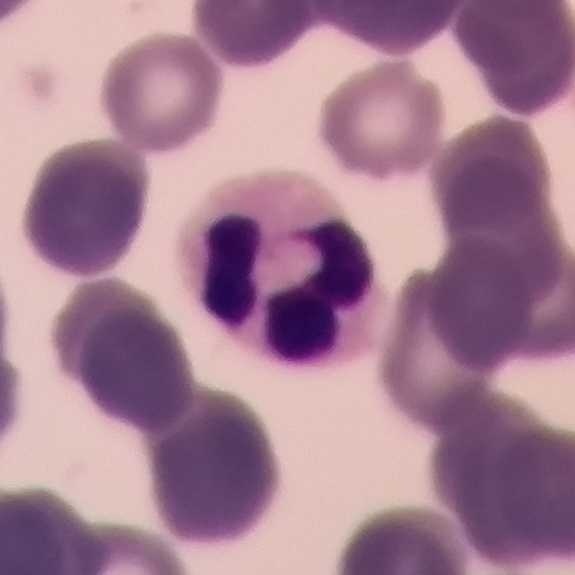Cell type — neutrophil. Acquisition: Peripheral blood smear. Smartphone camera mounted on the microscope eyepiece.